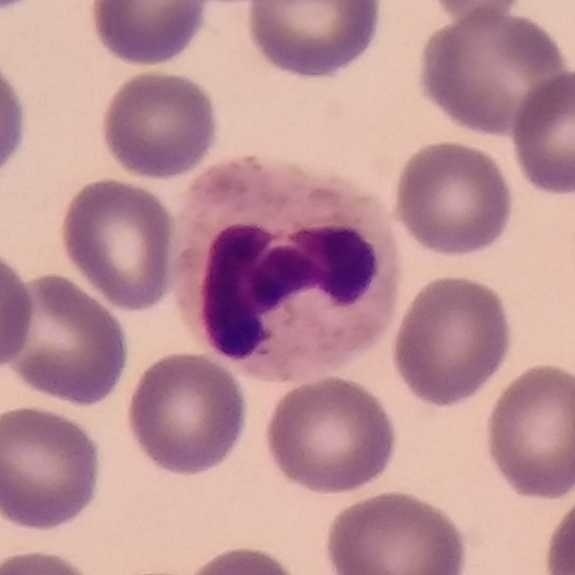 Acquisition: Peripheral blood film. Cell = neutrophil granulocyte.